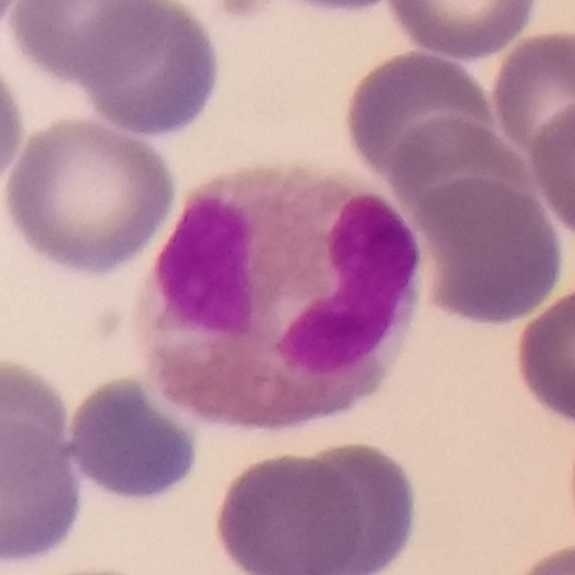
Classification: eosinophilic granulocyte.